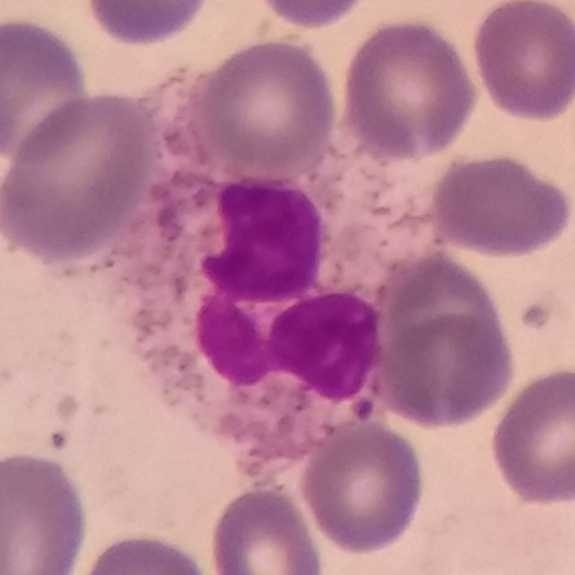
Neutrophil. Preparation: Photographed through a light microscope with a smartphone camera · peripheral blood smear.